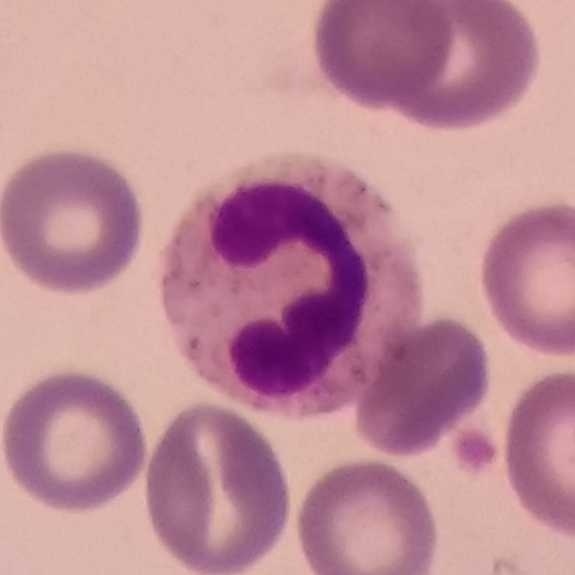 The cell shown is a neutrophilic granulocyte.

Acquisition: 575 by 575 pixels; peripheral blood film.